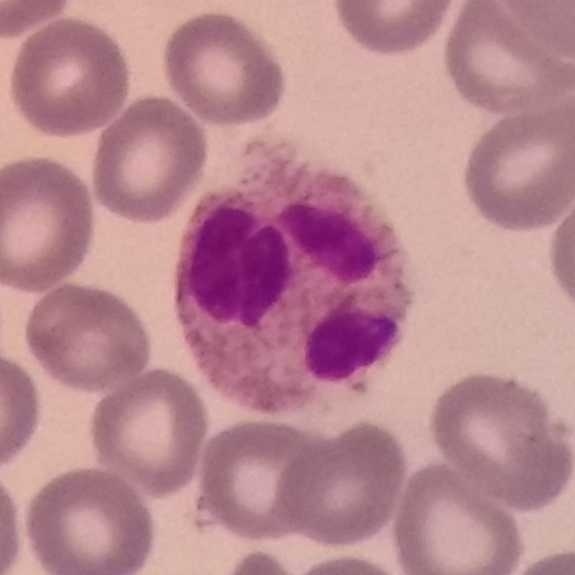Preparation: Peripheral blood smear; 575 by 575 pixels.
Q: What type of cell is this?
A: It is a neutrophilic granulocyte.